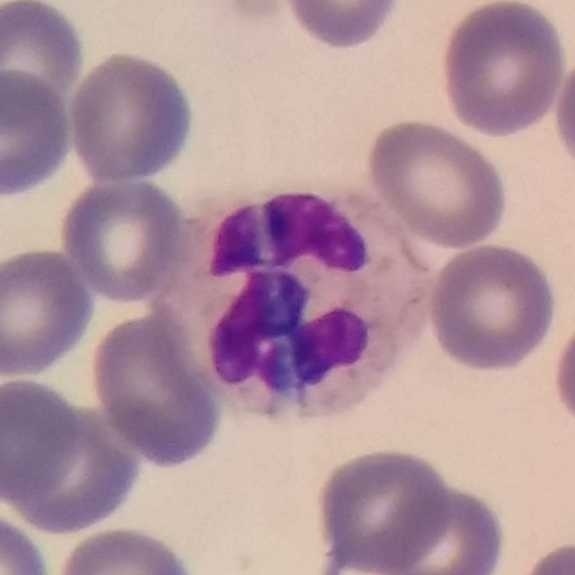 Specimen: peripheral blood smear.
Morphological class: neutrophilic granulocyte.
Lineage: myeloid.